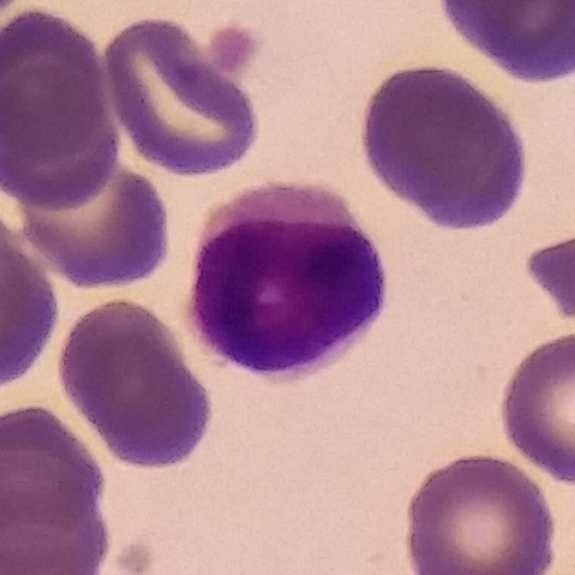
Q: Identify the cell.
A: It is a lymphocyte.
Acquisition: Peripheral blood film. Image size 575×575.